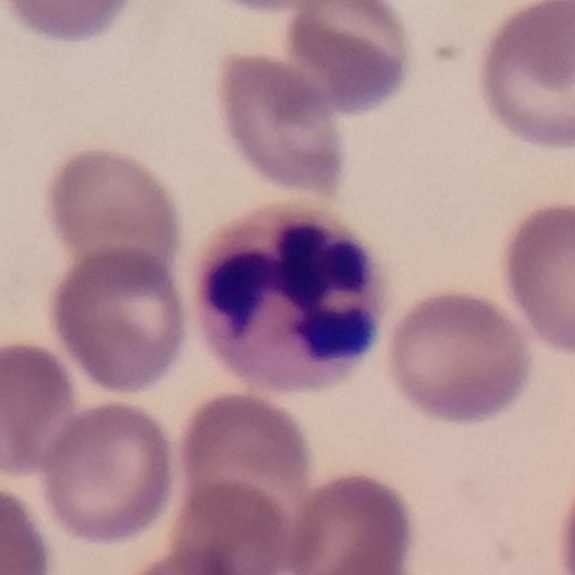

Morphological class: neutrophilic granulocyte. Preparation: Peripheral blood film.